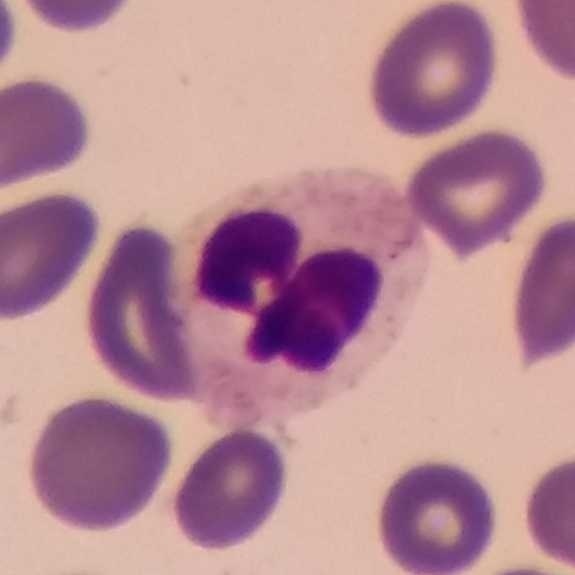 Peripheral blood film, single cell — neutrophilic granulocyte.